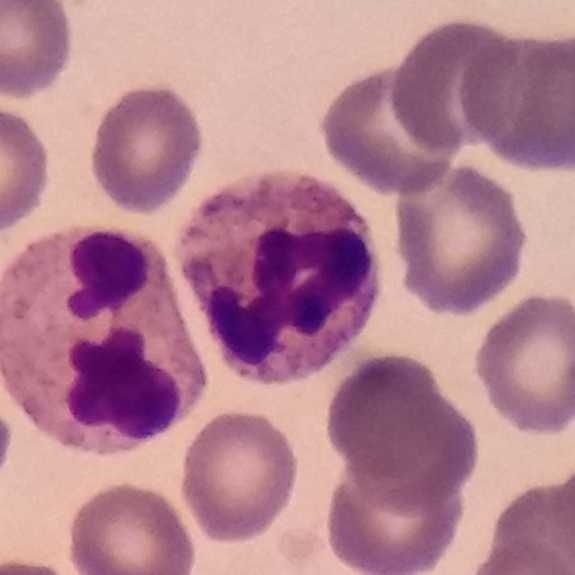This is a neutrophil granulocyte.
Peripheral blood film.